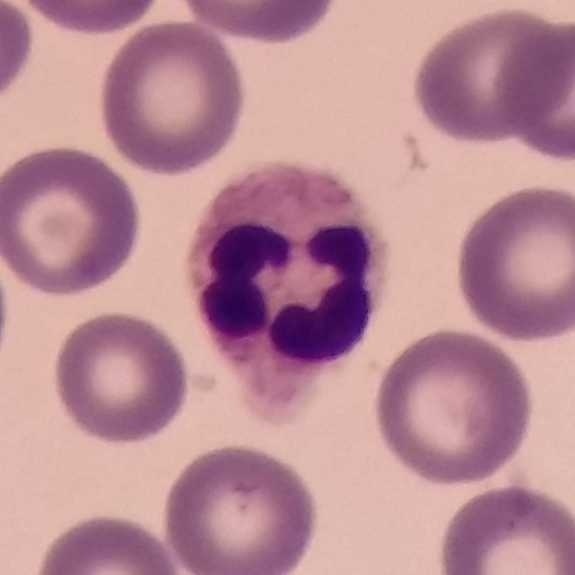 Acquisition: Peripheral blood film. Morphological class = neutrophil.